Peripheral blood smear. Phone-camera image taken through the microscope ocular. Magnification 100×:
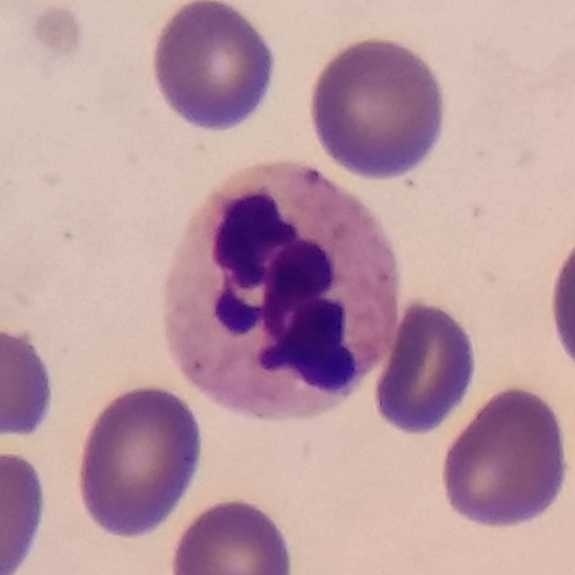 Identified as a neutrophilic granulocyte.